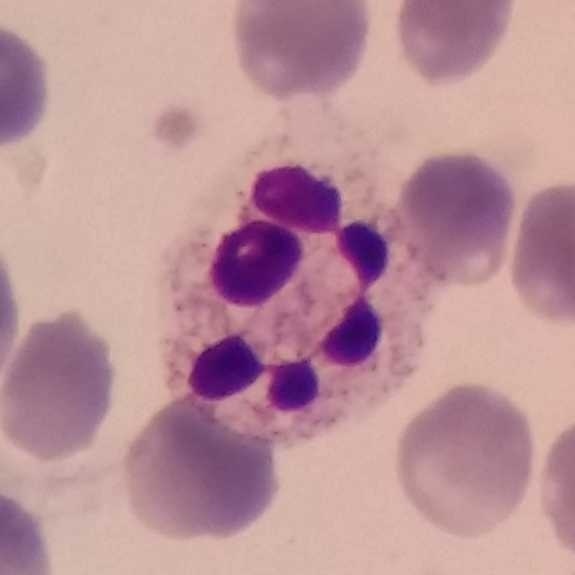

Peripheral blood smear showing a neutrophilic granulocyte.